Peripheral blood smear; smartphone camera mounted on the microscope eyepiece; cropped to one leukocyte — 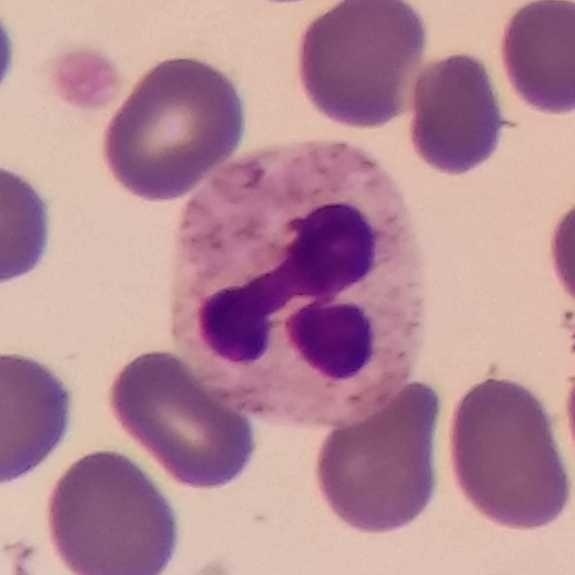
Cell type — neutrophil granulocyte.